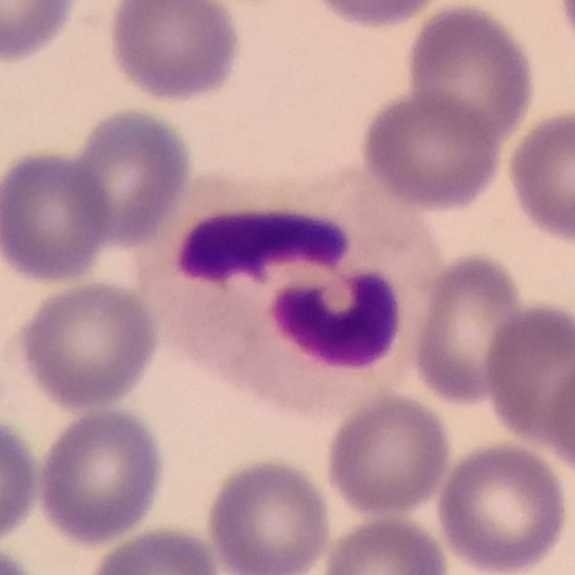Peripheral blood film.

Q: Classify this leukocyte.
A: This is a neutrophil.